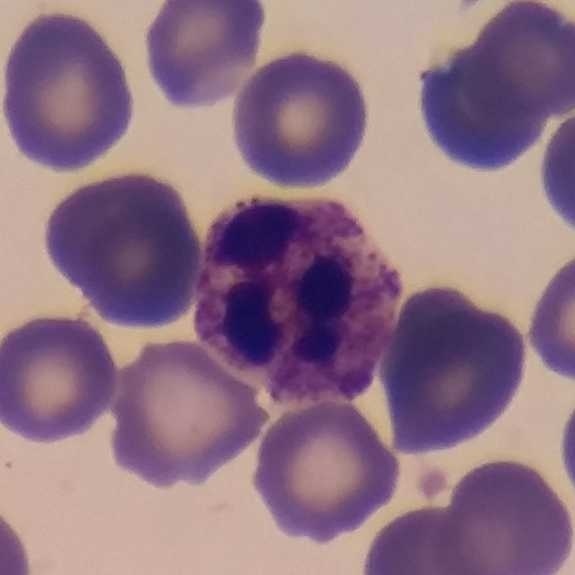

White blood cell from a peripheral blood smear: neutrophil granulocyte.